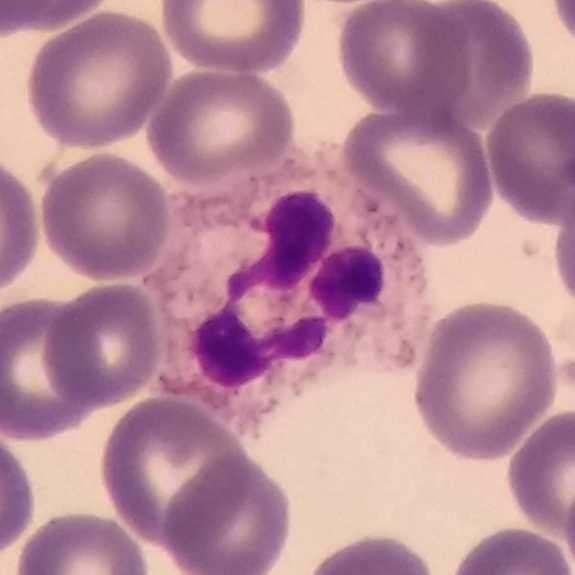 Specimen: peripheral blood smear.
White blood cell type: neutrophilic granulocyte. Preparation: Magnification 100×.